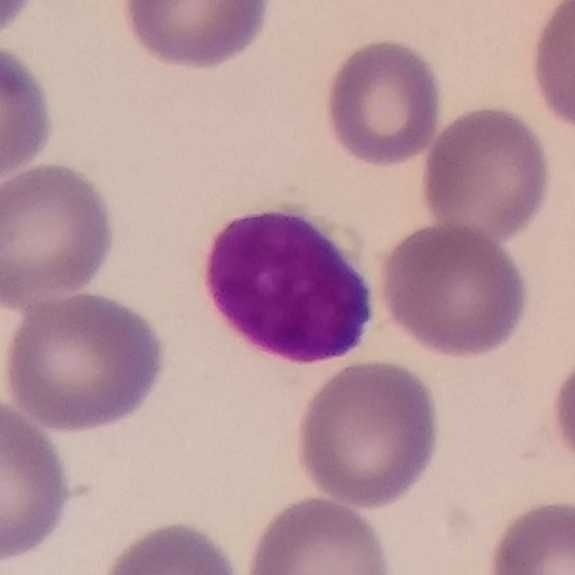

Specimen: peripheral blood smear.
Classification: lymphocyte.
Lineage: lymphoid.